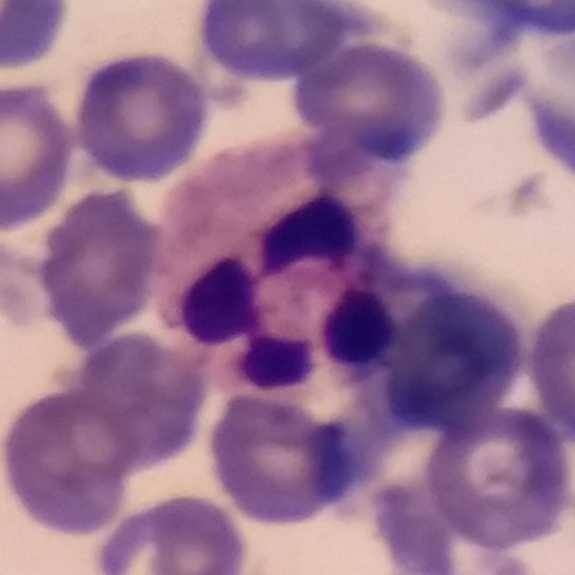 White blood cell from a peripheral blood smear: neutrophil granulocyte.